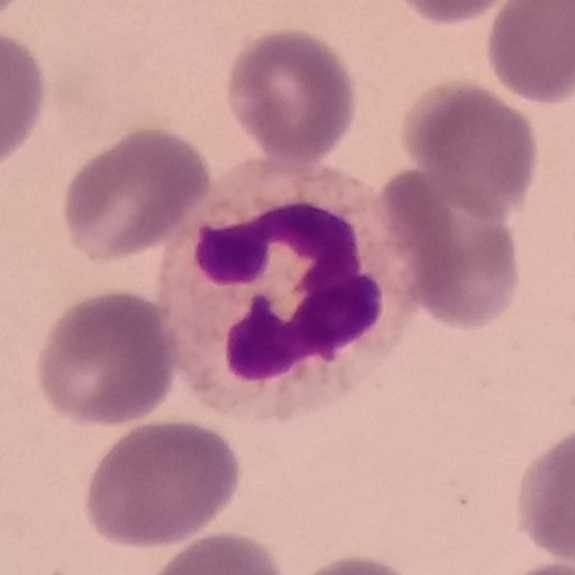
Morphology — neutrophil.

Peripheral blood smear · Giemsa-stained.